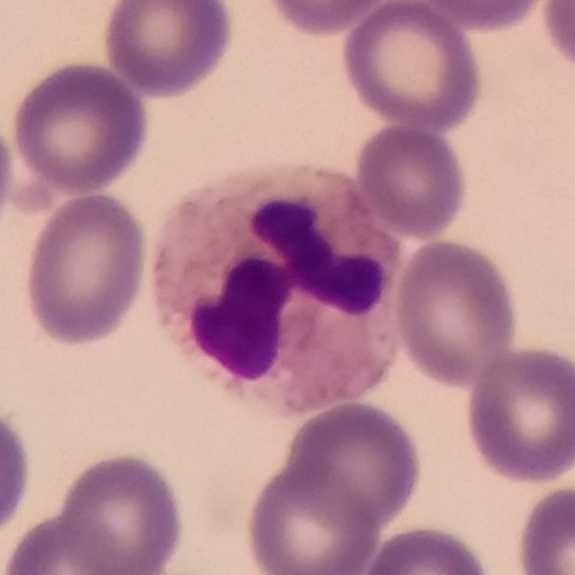Q: Identify the cell.
A: Neutrophil granulocyte.